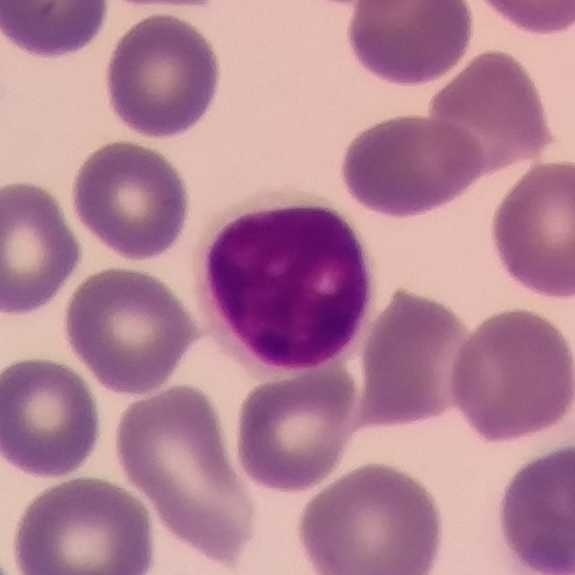 Morphology consistent with a lymphocyte.